Peripheral blood film — 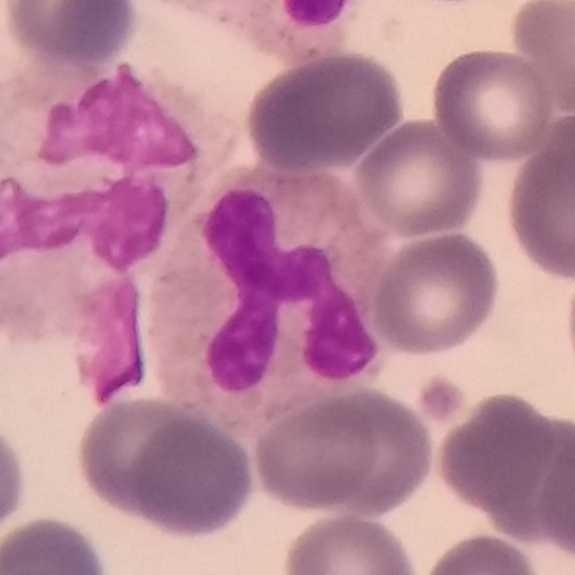 Identified as a neutrophil granulocyte.